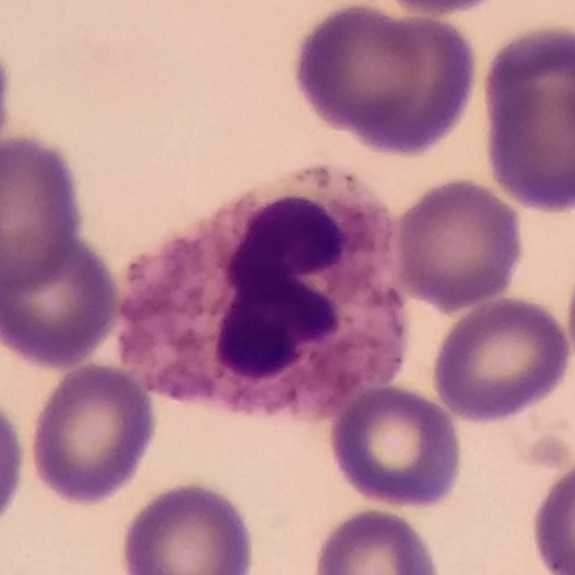

Q: Which type of white blood cell is this?
A: It is a neutrophilic granulocyte.